Peripheral blood film; smartphone photomicrograph — 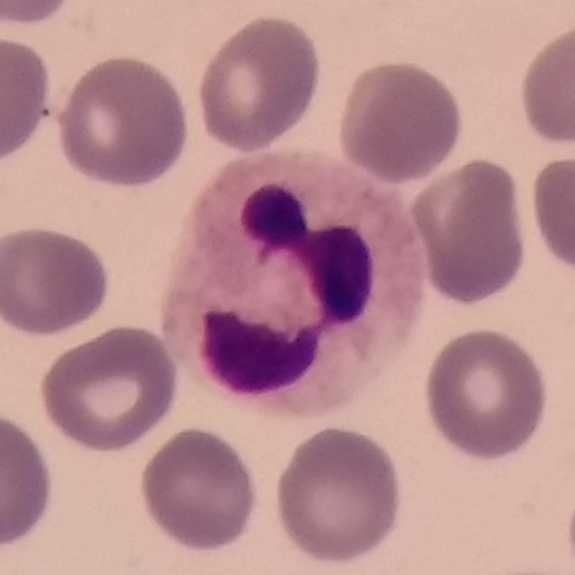

Q: Which type of white blood cell is this?
A: It is a neutrophil granulocyte.